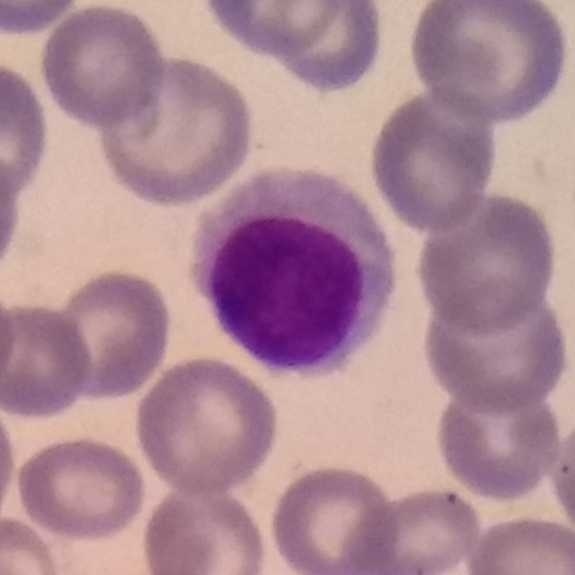 {"cell_type": "lymphocyte", "lineage": "lymphoid"}

Peripheral blood film · 575 by 575 pixels · photographed through a light microscope with a smartphone camera.